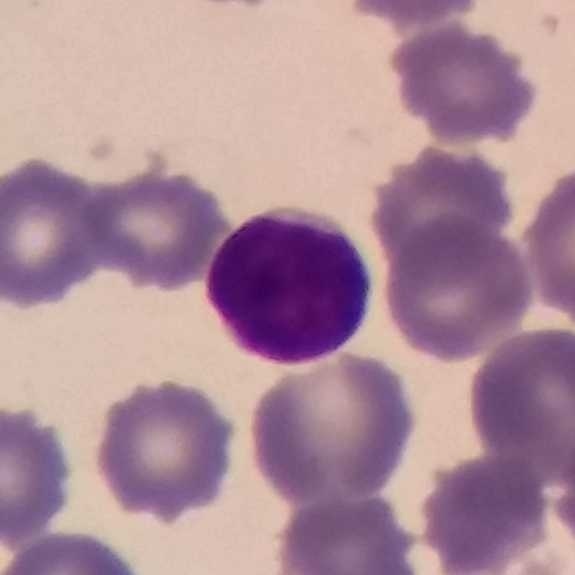

Showing a lymphocyte. Peripheral blood smear.